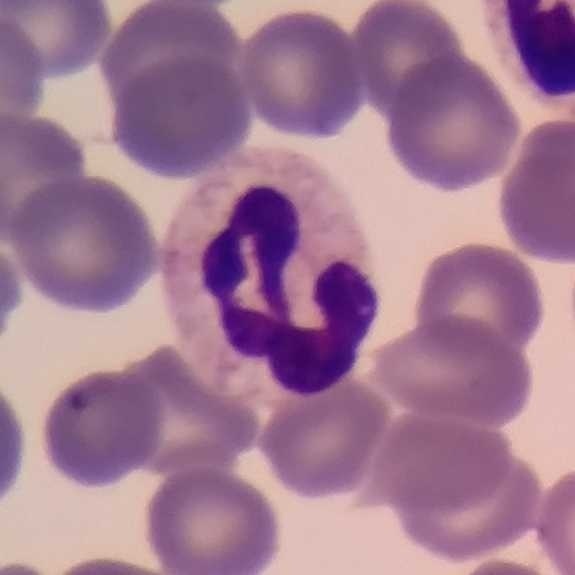 Specimen: peripheral blood film.
Cell type: neutrophil.

Acquisition: Smartphone camera mounted on the microscope eyepiece · 100× magnification.